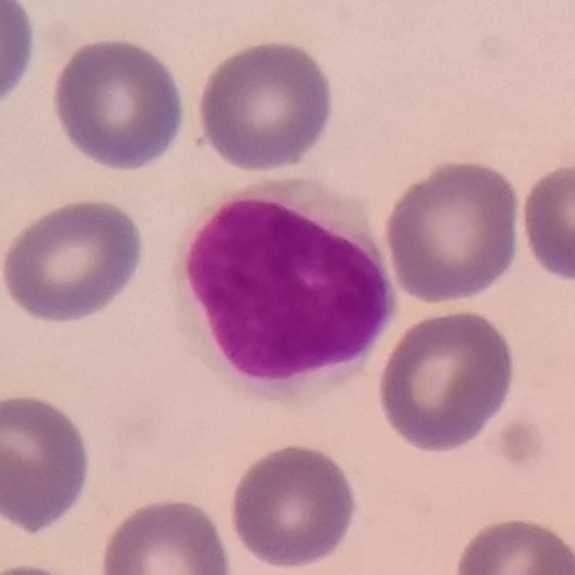Single-cell field · peripheral blood film.

White blood cell type — lymphocyte.